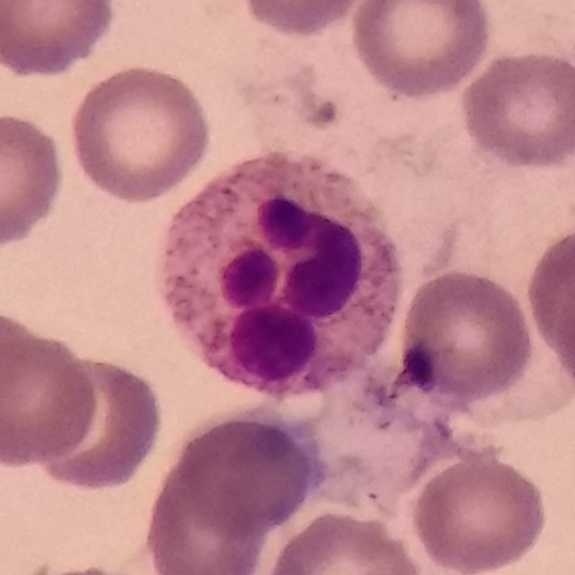 Identified as a neutrophil.
Preparation: Peripheral blood film.